Peripheral blood film
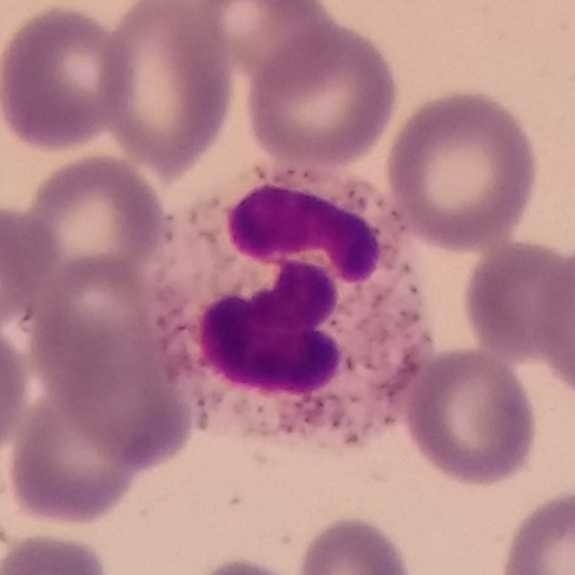
Identified as a neutrophil granulocyte.